Peripheral blood smear: 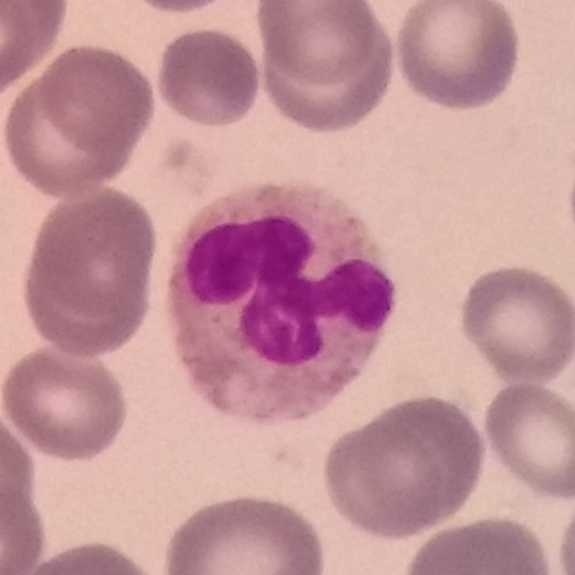

A neutrophilic granulocyte.